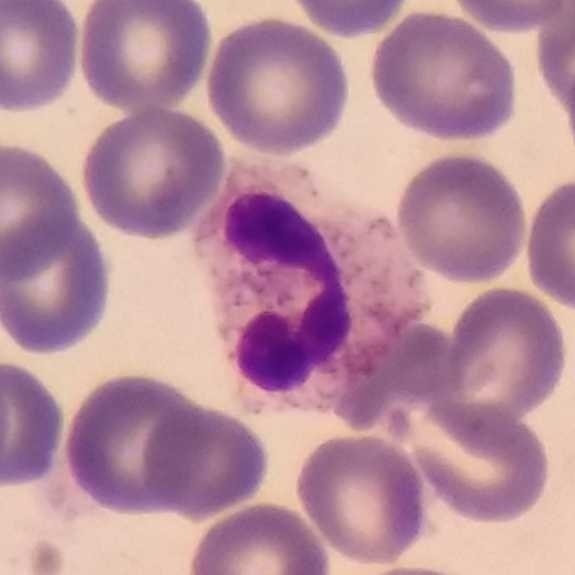 Neutrophil.